Imaged at 100×. Peripheral blood smear:
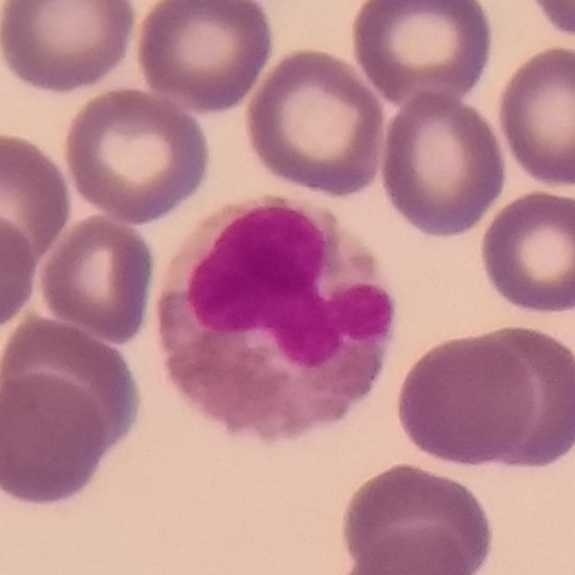 The white blood cell in this image is an eosinophil.